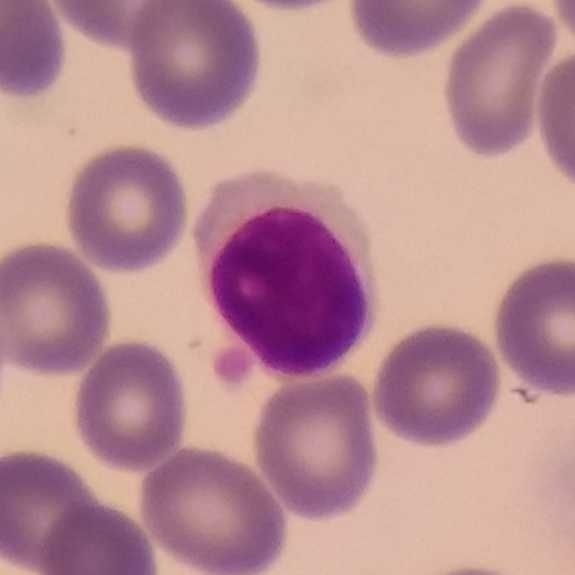Acquisition: Single-cell crop. Peripheral blood film. Smartphone photomicrograph.

Q: What is shown here?
A: Lymphocyte.